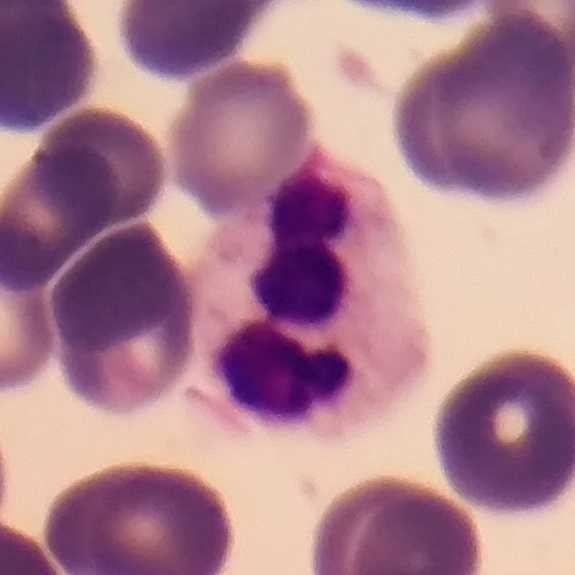Q: What cell is this?
A: Neutrophil.